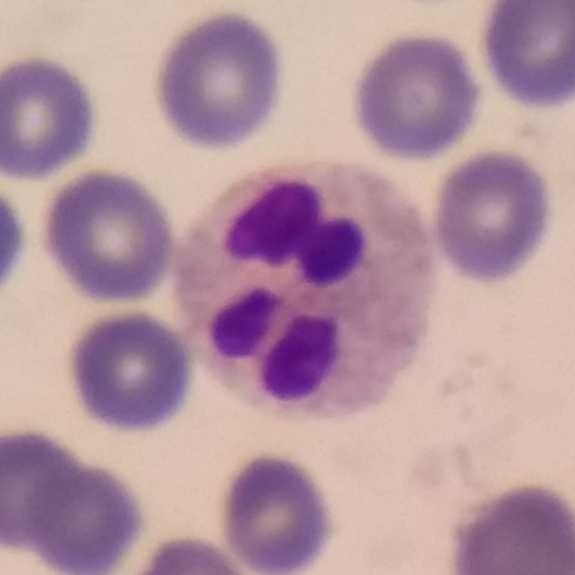
A neutrophilic granulocyte.

Acquisition: Peripheral blood film. Cropped to one leukocyte. 100× magnification.